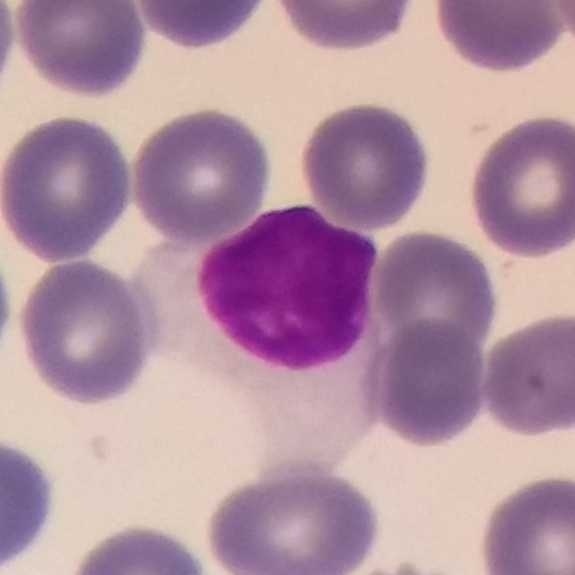

Q: What is this?
A: A lymphocyte. Context: Peripheral blood smear.